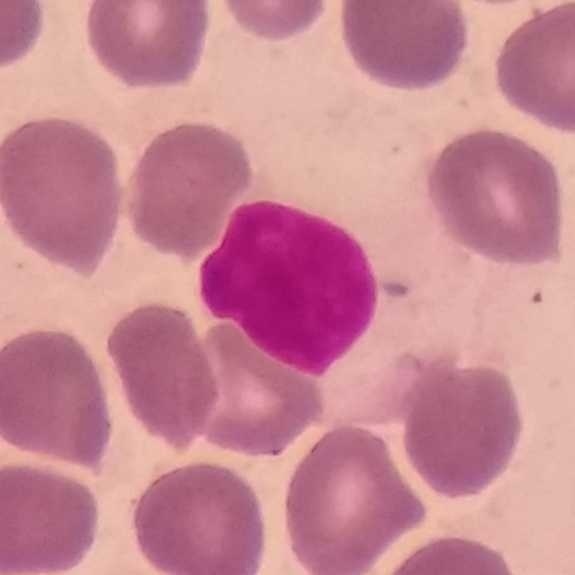From a peripheral blood smear: a lymphocyte.